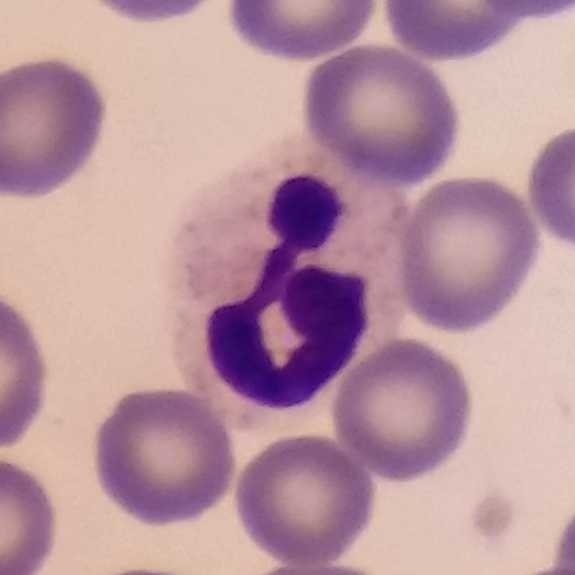
Q: What cell is this?
A: Neutrophilic granulocyte.